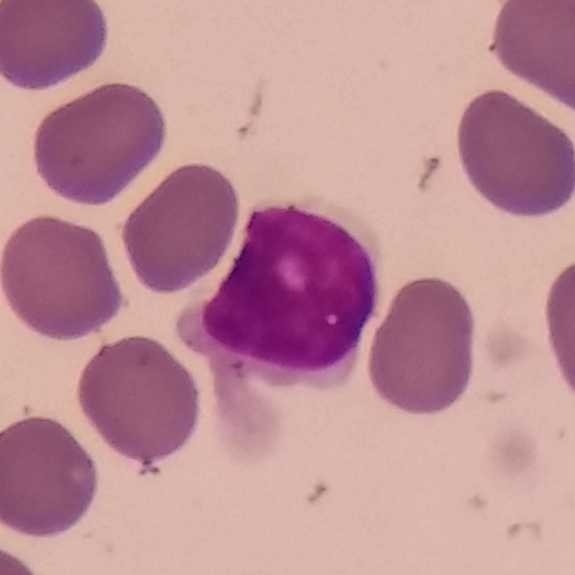Specimen: peripheral blood smear.
White blood cell type: lymphocyte.
Lineage: lymphoid.